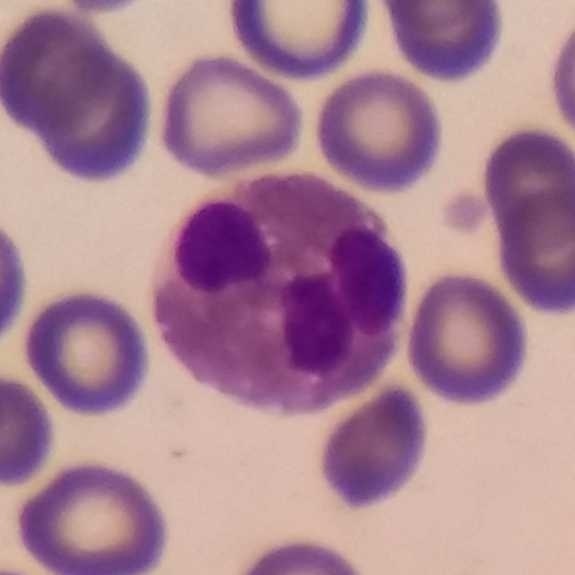Context: Magnification 100×.

Specimen: peripheral blood smear.
Cell: eosinophilic granulocyte.
Lineage: myeloid.